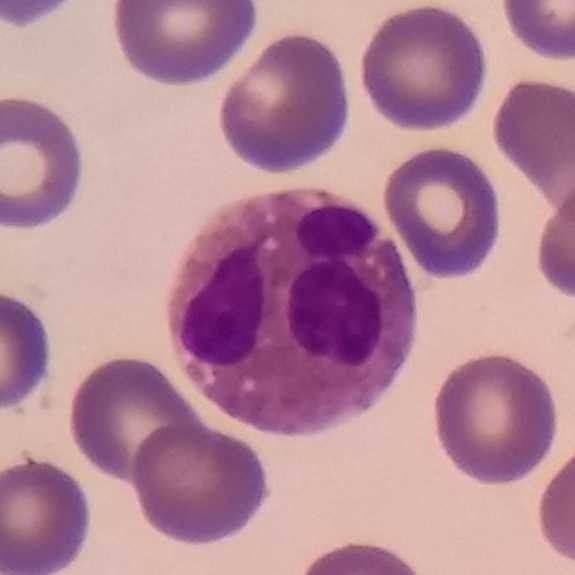 Single white blood cell cropped from the smear photograph. Peripheral blood smear.
Impression — eosinophil.